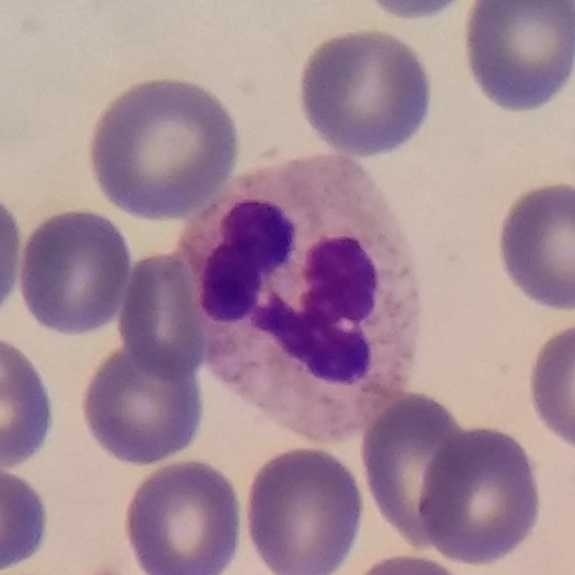
Specimen: peripheral blood smear.
White blood cell type: neutrophil.